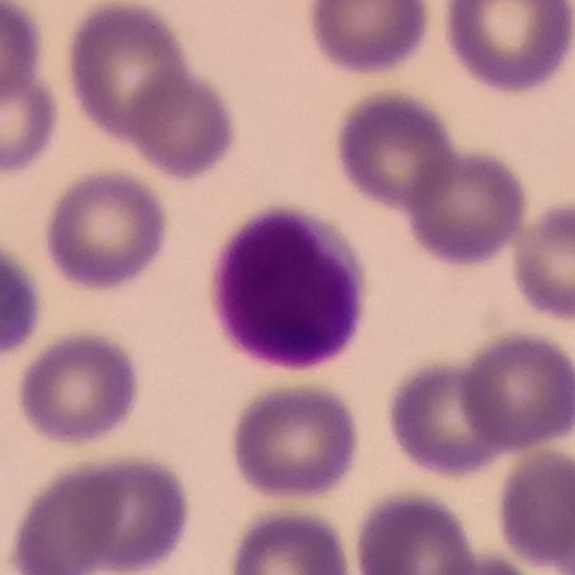 Preparation: Peripheral blood smear. {"cell_type": "lymphocyte", "lineage": "lymphoid"}